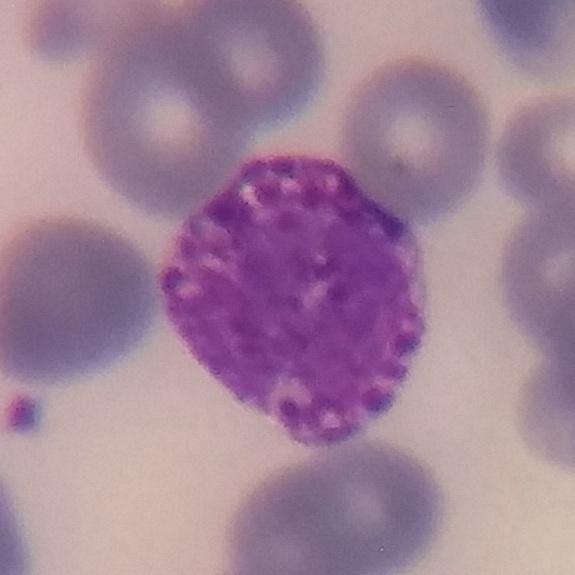 The cell shown is a basophil.

Peripheral blood film. Giemsa stain.